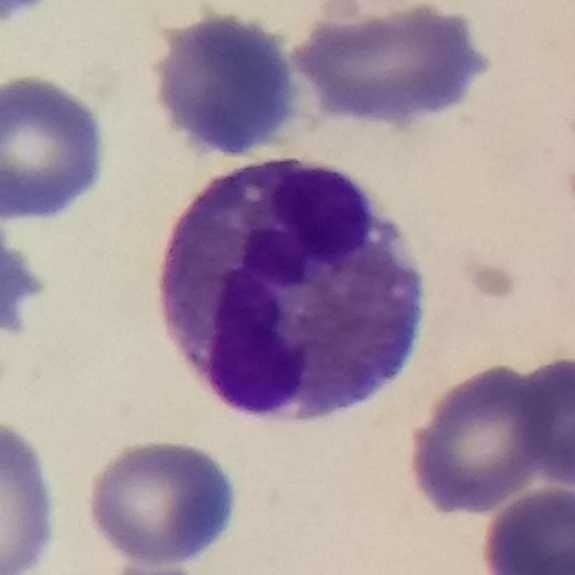 Morphology — eosinophil.